575 by 575 pixels · peripheral blood smear:
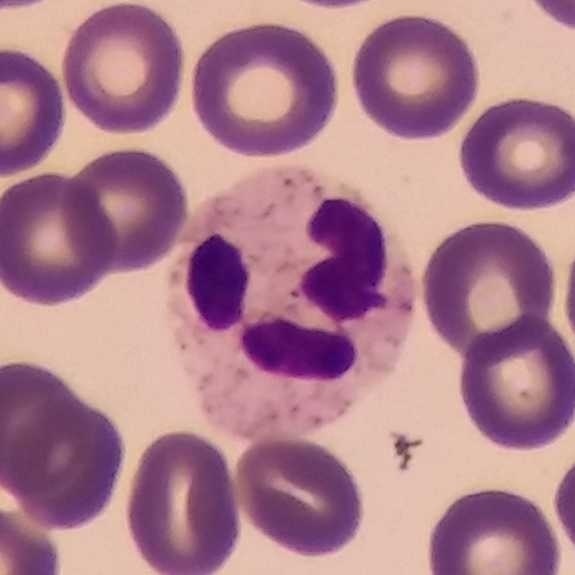 White blood cell type — neutrophil granulocyte.